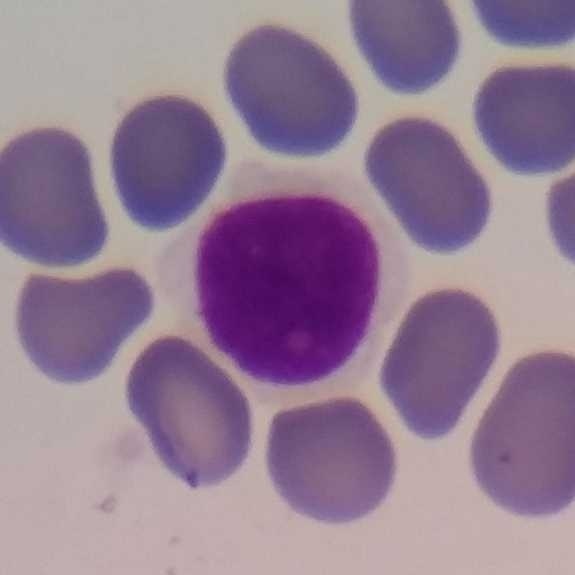
Morphology consistent with a lymphocyte.

Peripheral blood film.